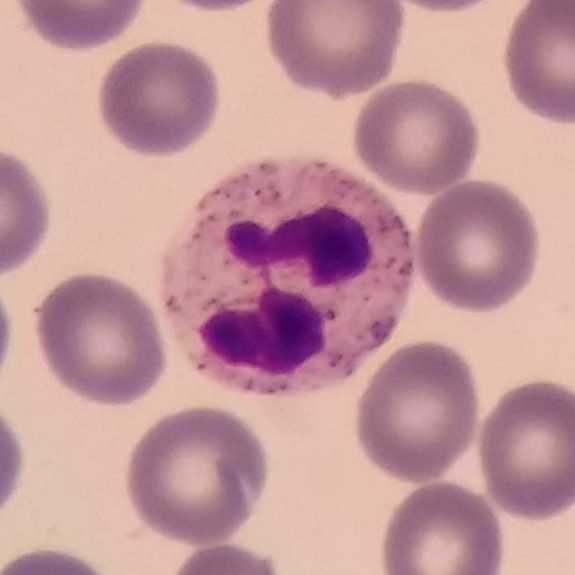 Impression — neutrophil granulocyte. Image: Peripheral blood smear.